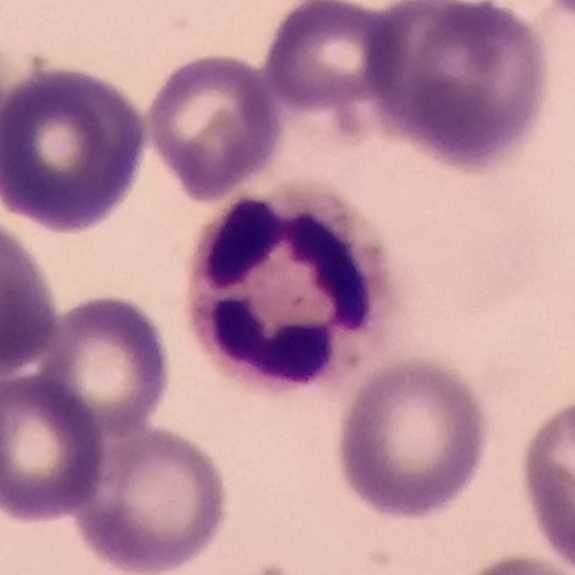 Specimen: peripheral blood film.
Cell: neutrophilic granulocyte.
Lineage: myeloid.